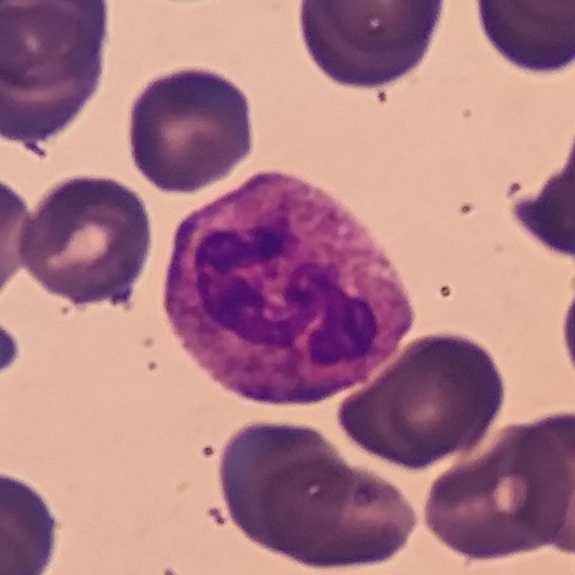

Morphology → neutrophil.
Context: Single-cell crop · stained with Giemsa · peripheral blood smear.